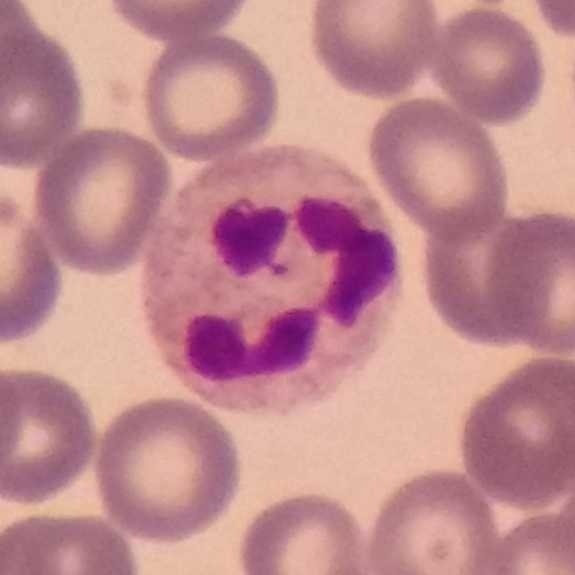
Context: Peripheral blood smear. 575 by 575 pixels.

Q: What is shown here?
A: This is a neutrophilic granulocyte.